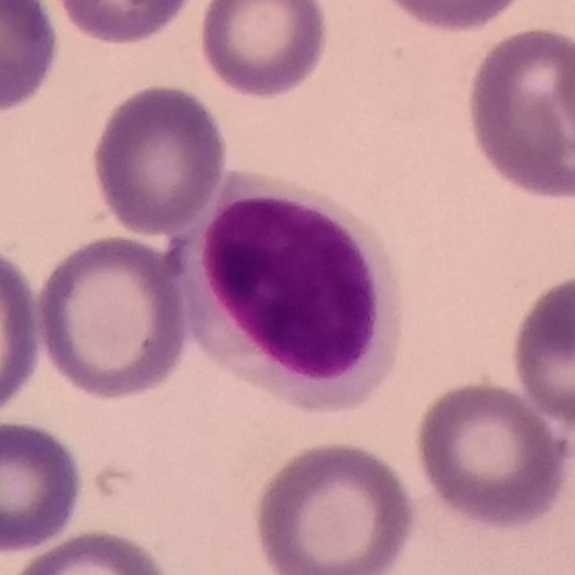Context: Peripheral blood smear.
Q: What is the morphological classification of this cell?
A: It is a lymphocyte.